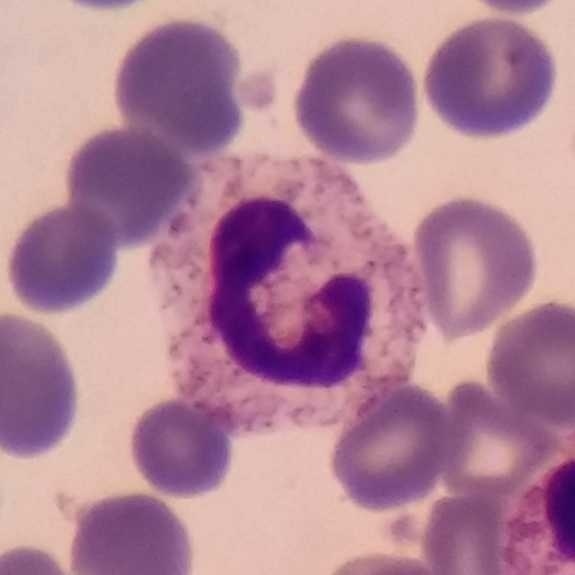 Single cell identified as a neutrophil granulocyte.
Peripheral blood film; cropped to one leukocyte; phone-camera image taken through the microscope ocular.